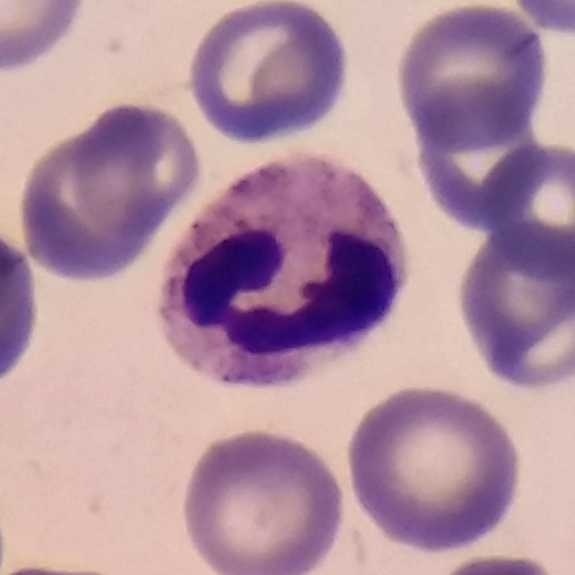Q: What is shown here?
A: A neutrophil granulocyte.